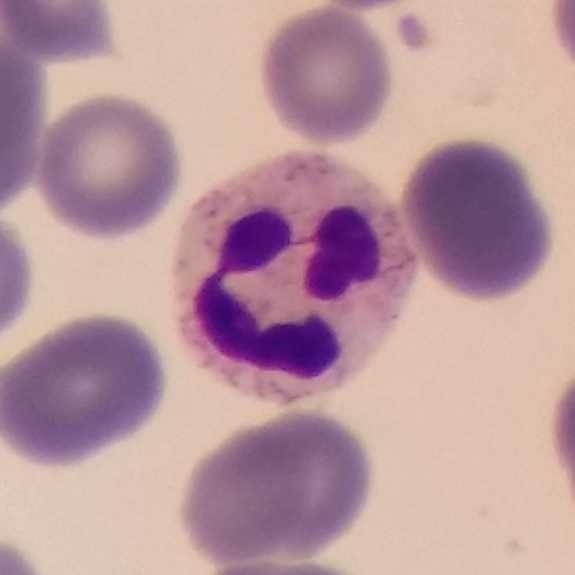

Specimen: peripheral blood film.
White blood cell type: neutrophilic granulocyte.